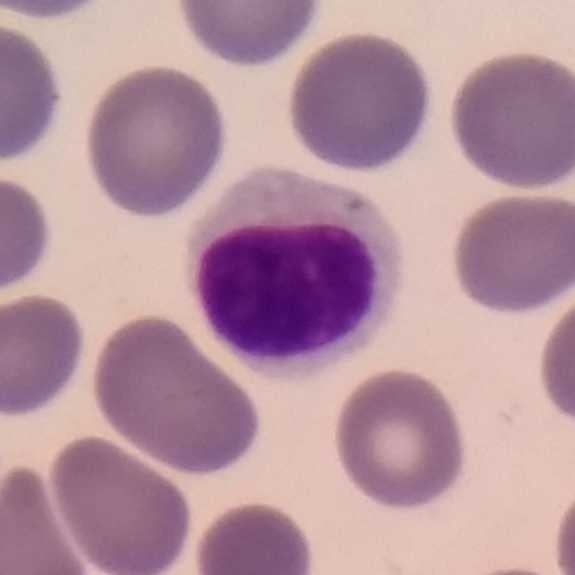

Acquisition: Peripheral blood smear.
Q: What is this?
A: Lymphocyte.